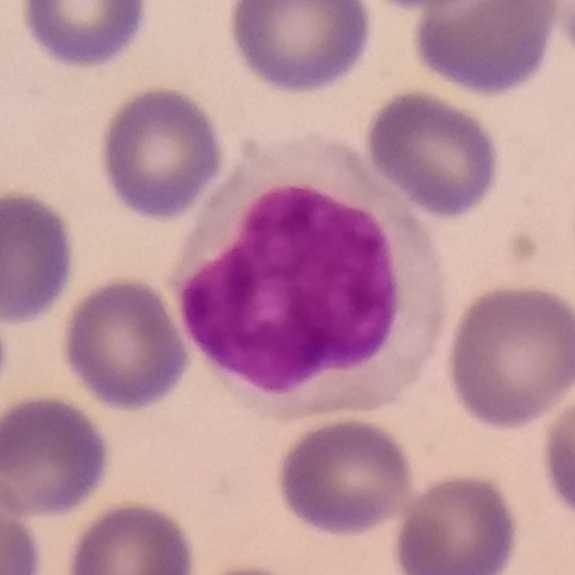 Q: Identify the cell.
A: It is a lymphocyte. Image: Smartphone photomicrograph; peripheral blood smear.